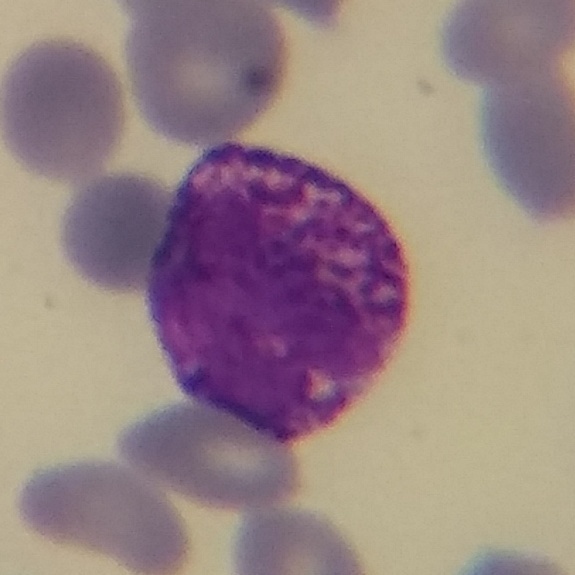Specimen: peripheral blood film.
Morphological class: basophil.